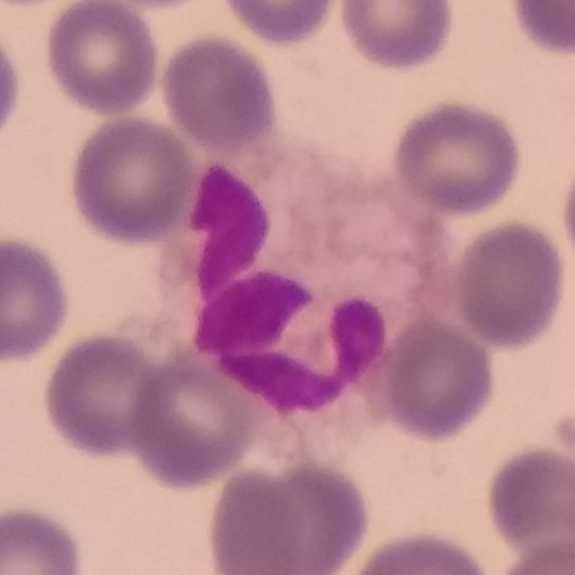 Morphological class — neutrophil.
Acquisition: Peripheral blood smear.